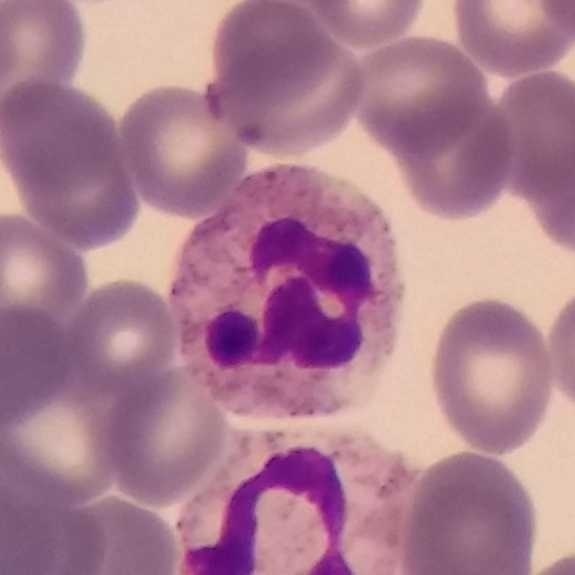
Context: Phone-camera image taken through the microscope ocular.

Specimen: peripheral blood smear.
Morphological class: neutrophil.
Lineage: myeloid.